Peripheral blood smear; imaged at 100× — 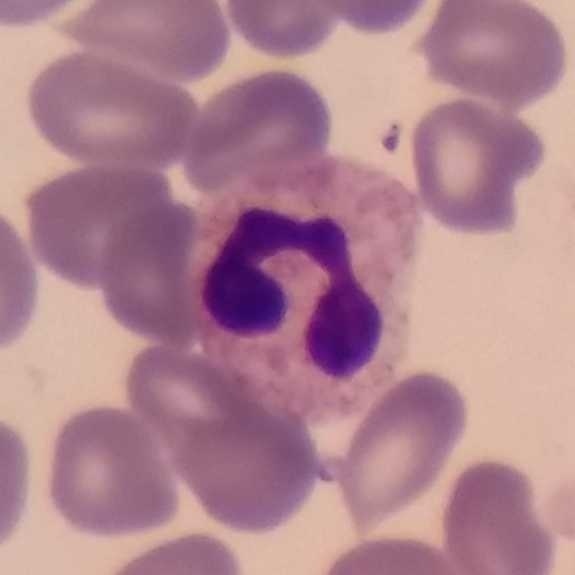

Cell type = neutrophilic granulocyte.